Peripheral blood film
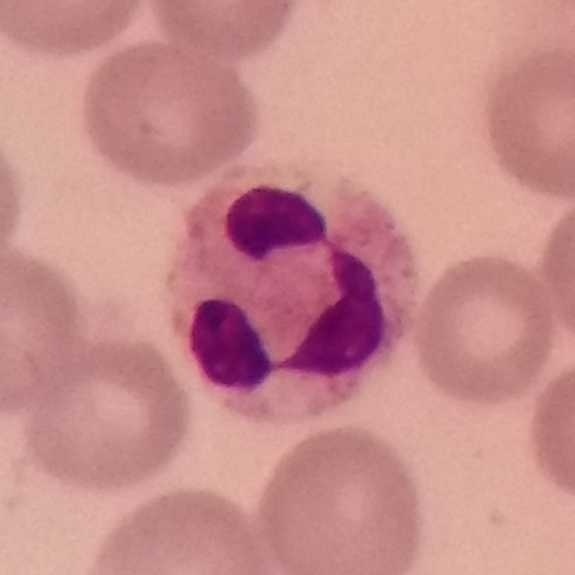
Morphology — neutrophil.